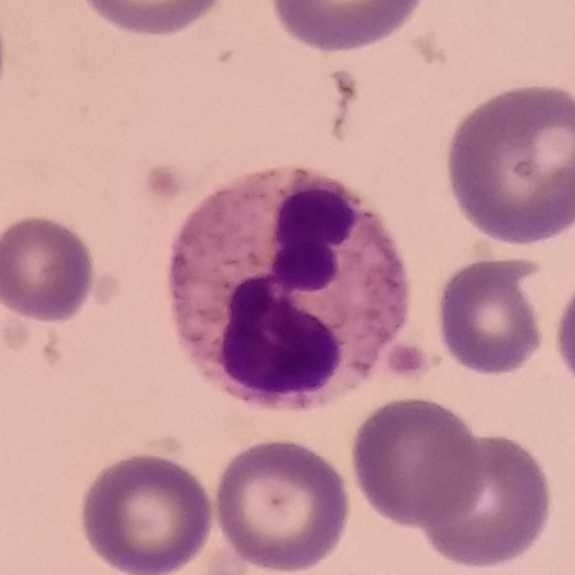Morphological class — neutrophilic granulocyte. 575 by 575 pixels · peripheral blood smear · 100× magnification.